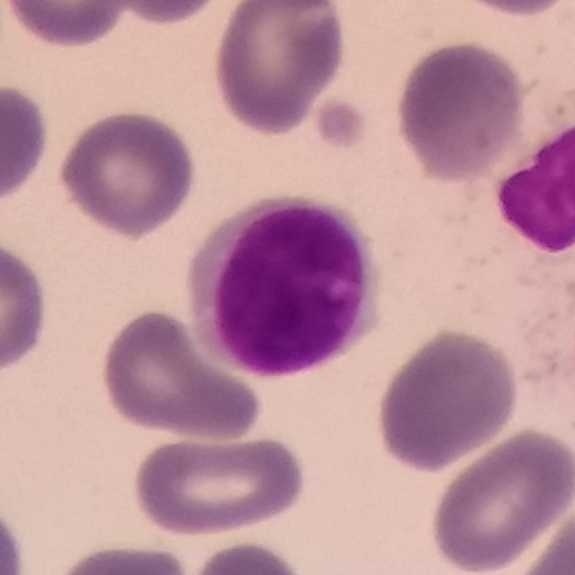{"cell_type": "lymphocyte"} Context: Peripheral blood film.